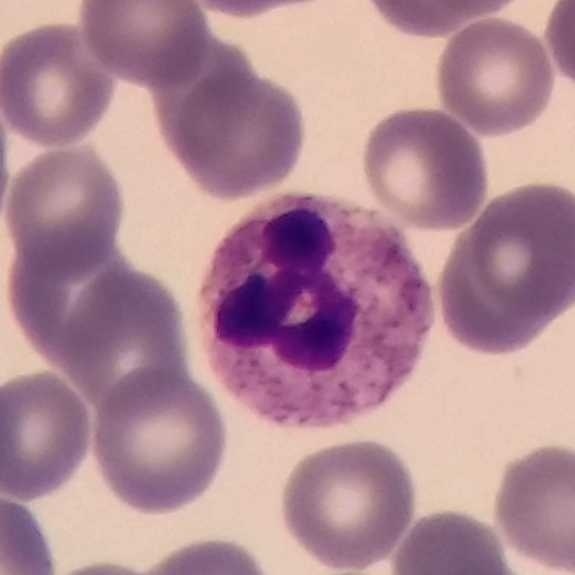Showing a neutrophil.